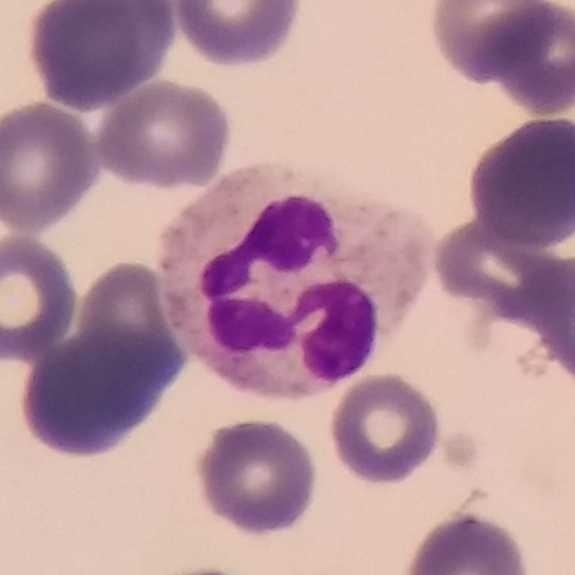A neutrophilic granulocyte on a peripheral blood smear.